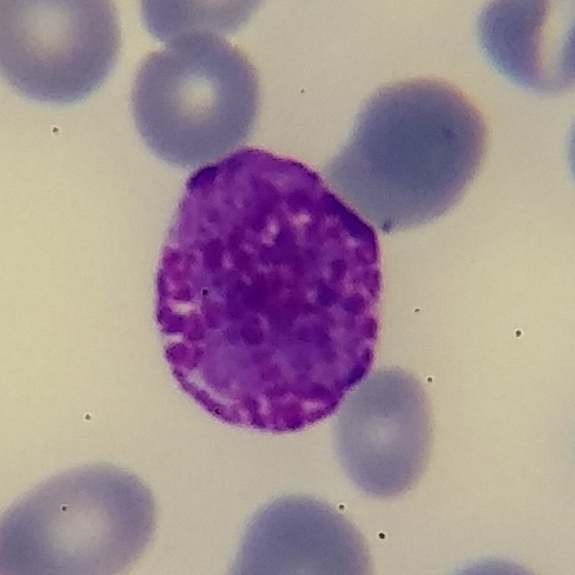Peripheral blood smear.
This is a basophil.